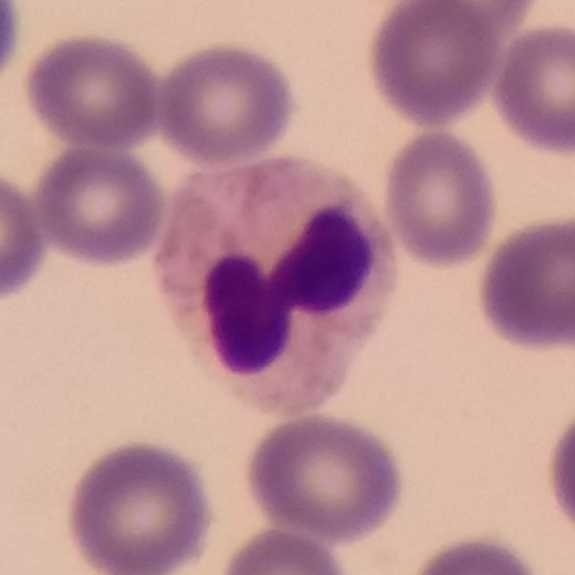Peripheral blood smear; Giemsa-stained; smartphone camera mounted on the microscope eyepiece.

Classification: neutrophilic granulocyte.